Peripheral blood film. Cropped to one leukocyte.
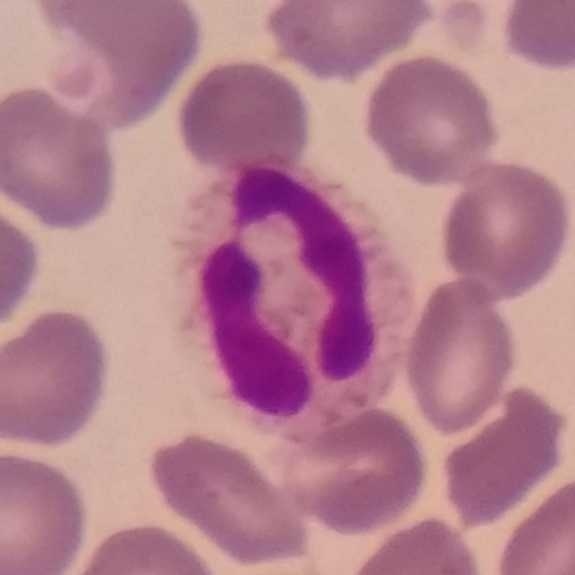 White blood cell type — neutrophilic granulocyte.